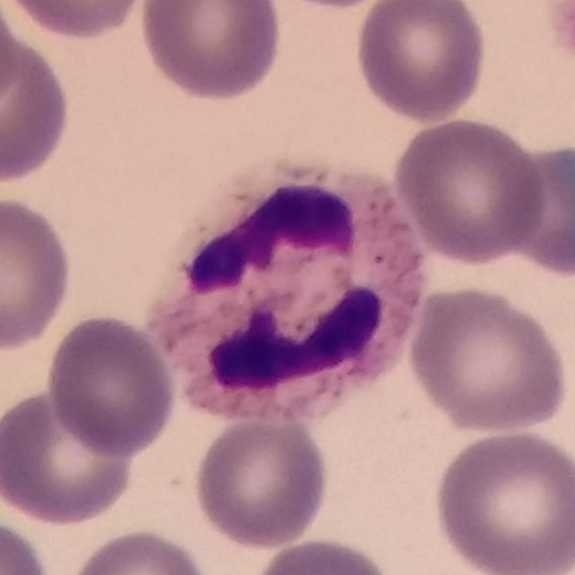
Context: Single-cell crop; 575×575 px; peripheral blood film.
Classification — neutrophil.